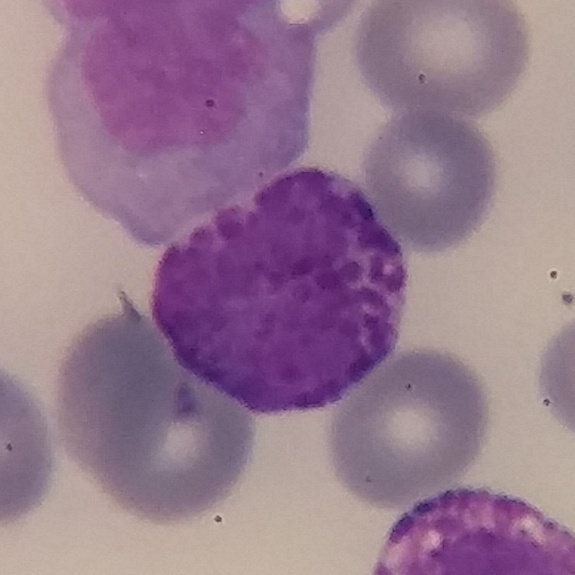

{"cell_type": "basophilic granulocyte", "lineage": "myeloid"}